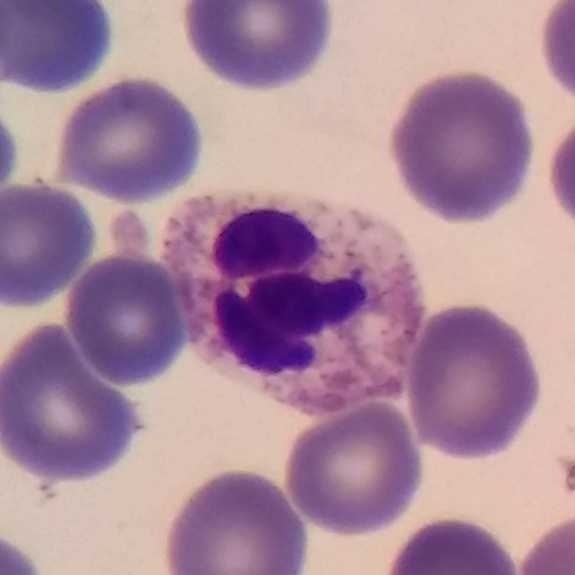
{"cell_type": "neutrophil granulocyte"}